Peripheral blood film: 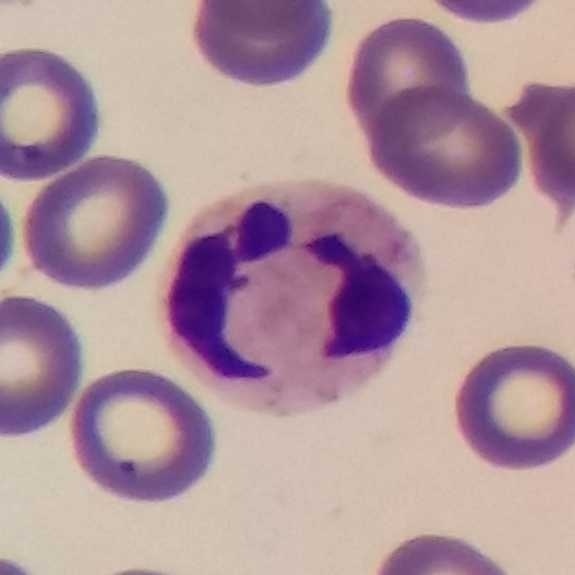

The cell shown is a neutrophilic granulocyte.